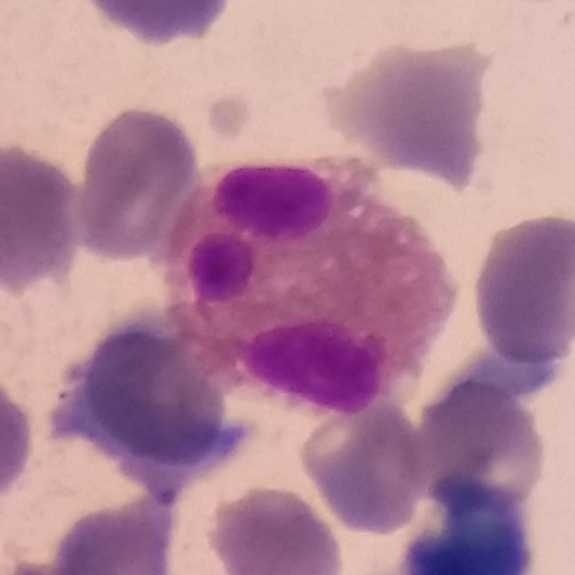
Q: Which type of white blood cell is this?
A: An eosinophil.

575×575 px; peripheral blood smear; phone-camera image taken through the microscope ocular.